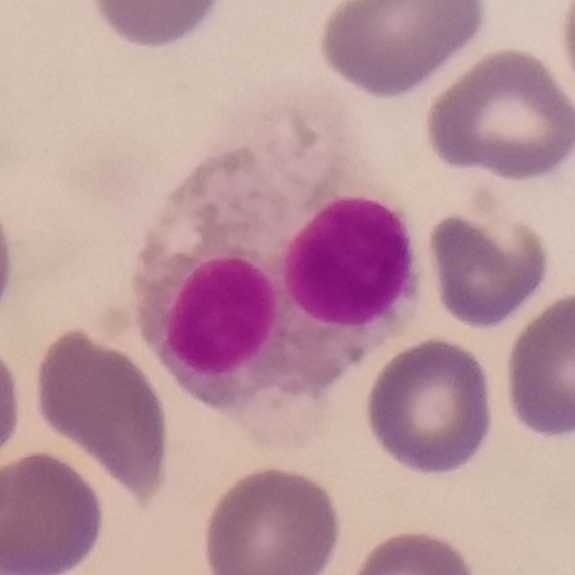

Morphology consistent with an eosinophil. Acquisition: Peripheral blood film. Single white blood cell cropped from the smear photograph. 575×575.